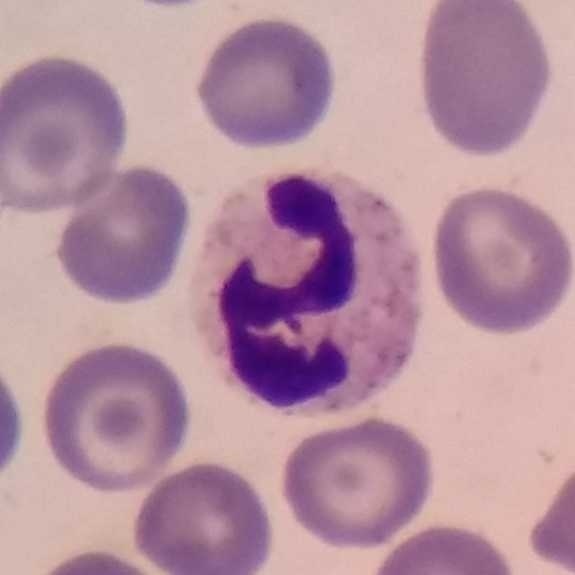
Image: Single-cell crop. Peripheral blood film. Phone-camera image taken through the microscope ocular.

The morphological class is neutrophil granulocyte.